Peripheral blood film · 100× magnification — 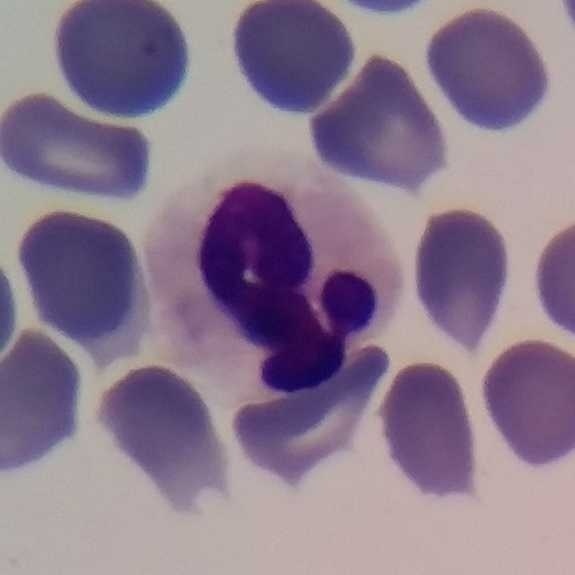Specimen: peripheral blood smear.
Cell: neutrophil granulocyte.
Lineage: myeloid.